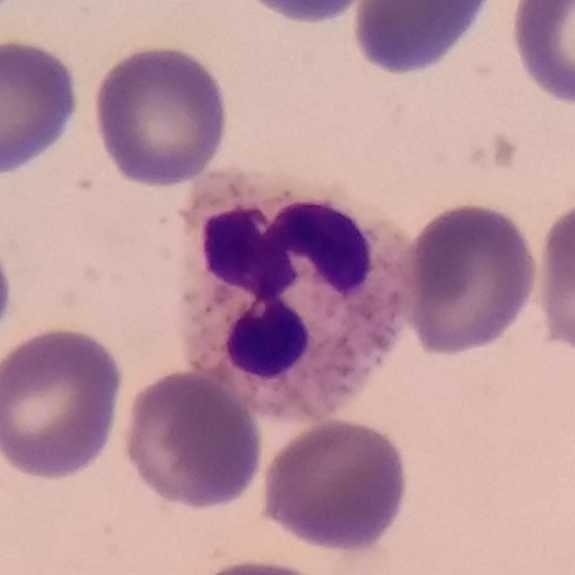 Showing a neutrophil granulocyte.
Preparation: Peripheral blood film.